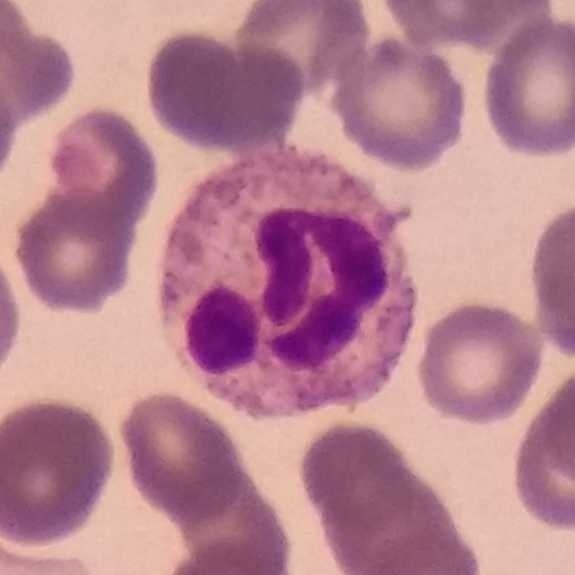

Cell = neutrophil granulocyte.

Single white blood cell cropped from the smear photograph · peripheral blood smear.